Peripheral blood smear
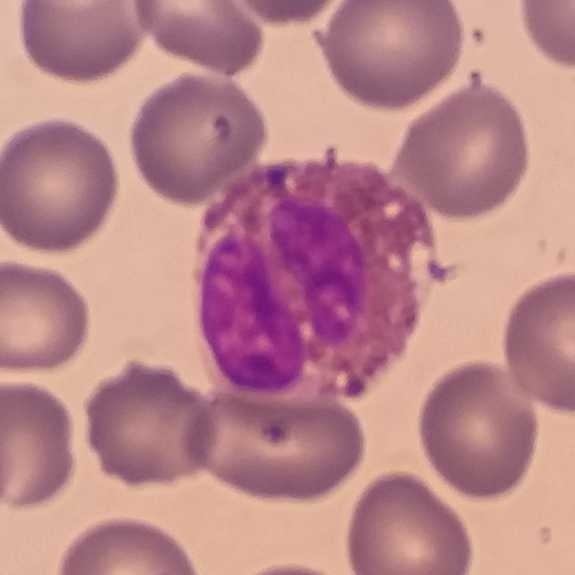

The morphological class is eosinophilic granulocyte.